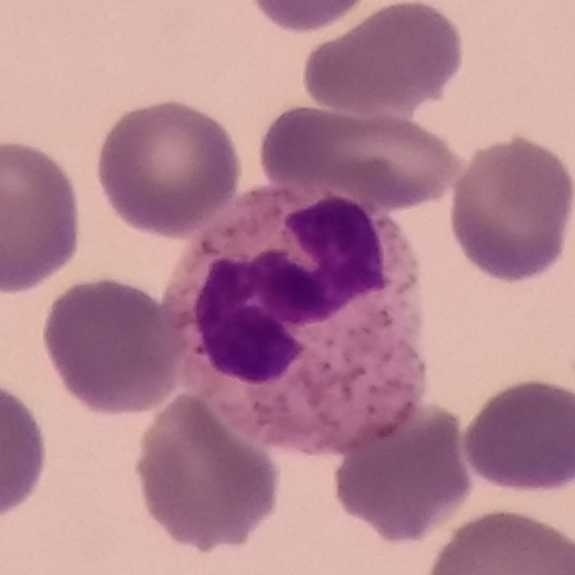 Cell type: neutrophilic granulocyte.

Peripheral blood smear · magnification 100×.